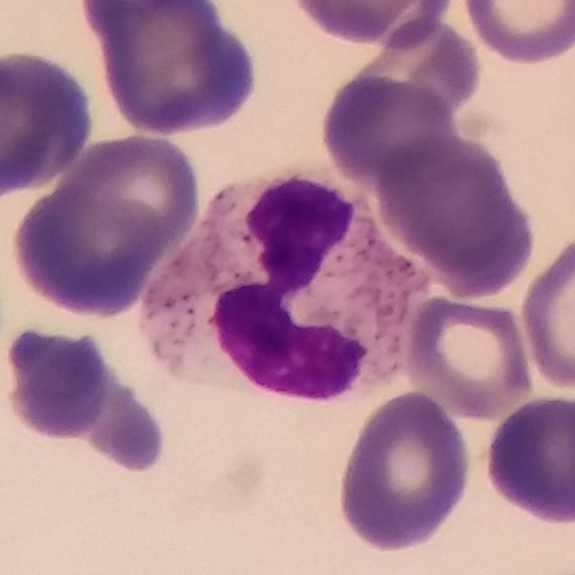Imaged at 100×; peripheral blood smear.

Morphology → neutrophilic granulocyte.